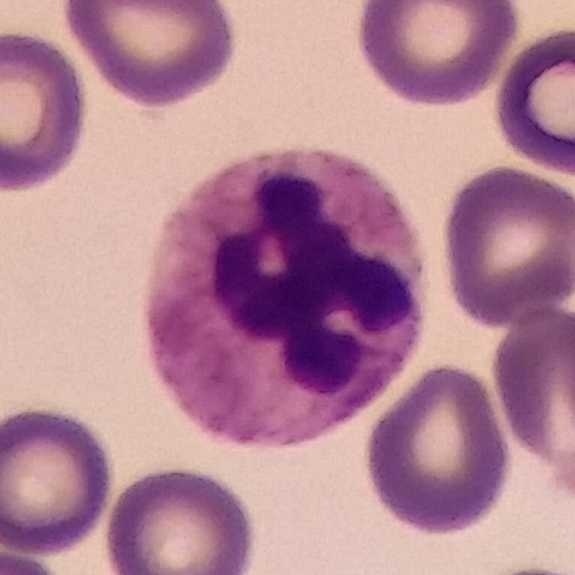
Single white blood cell cropped from the smear photograph; peripheral blood film.

Cell: neutrophilic granulocyte.